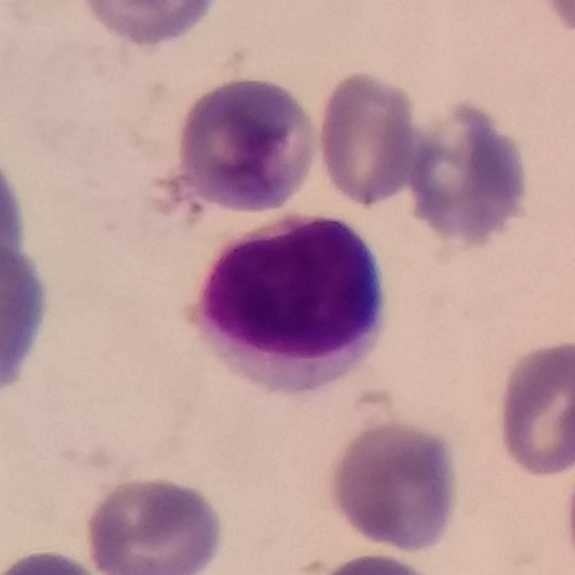 Peripheral blood film.

This is a lymphocyte.